Peripheral blood smear.
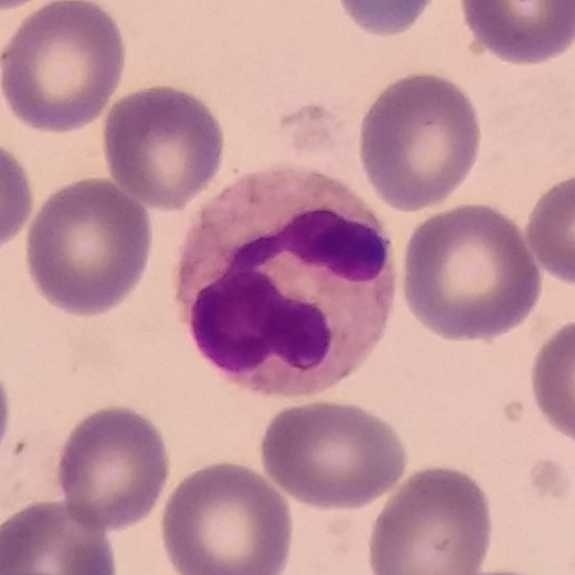 Morphology → neutrophil.